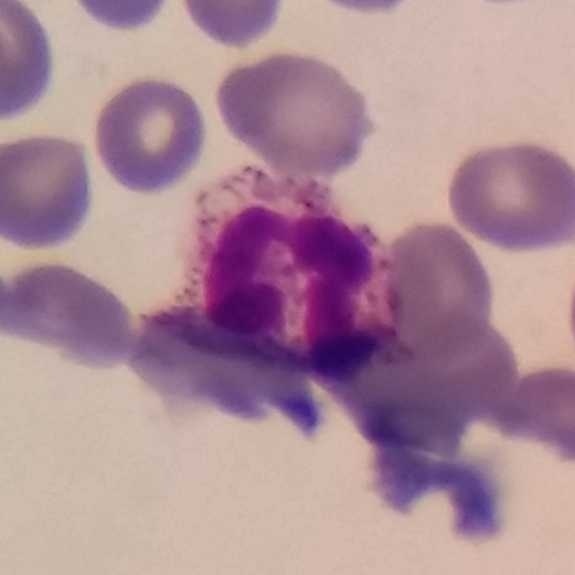
This is a neutrophil. Image: Peripheral blood film.